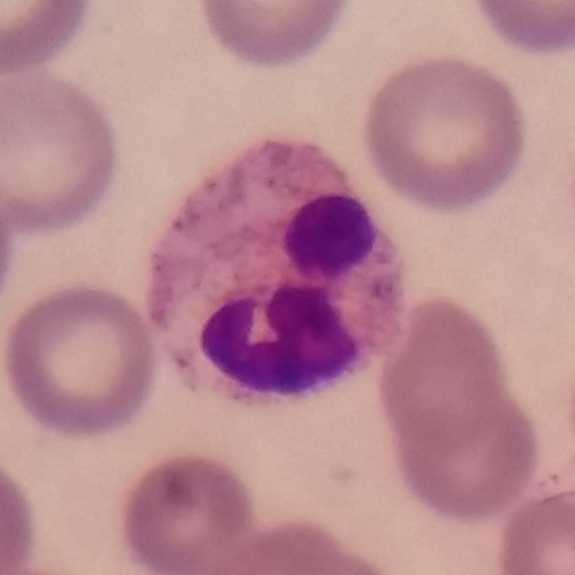

Acquisition: Peripheral blood film. Q: What is shown here?
A: A neutrophilic granulocyte.